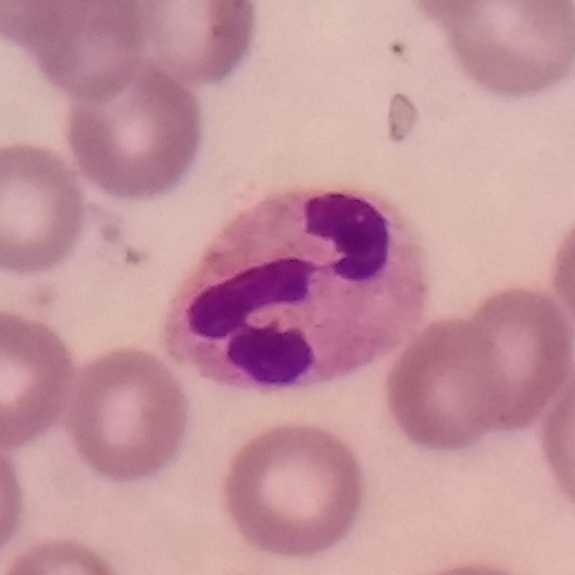

Peripheral blood smear · 575×575.

This is a neutrophil granulocyte.